Peripheral blood smear; cropped to one leukocyte — 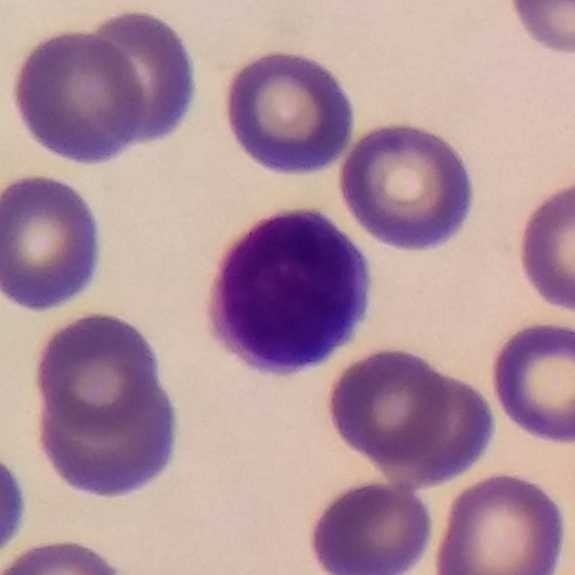

Single cell identified as a lymphocyte.